Peripheral blood film
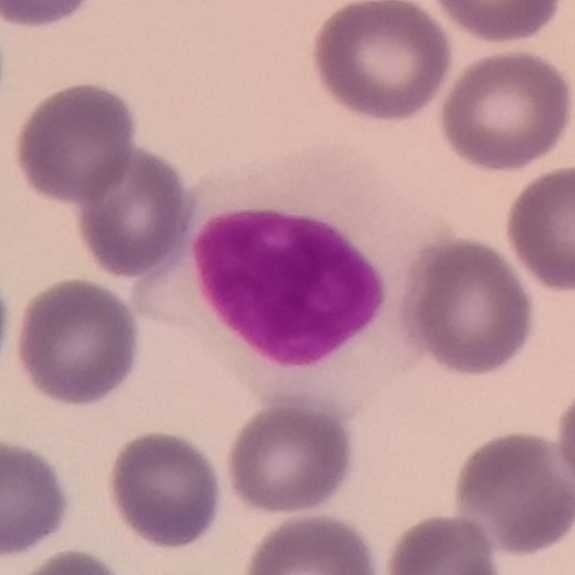Specimen: peripheral blood smear.
Cell: lymphocyte.